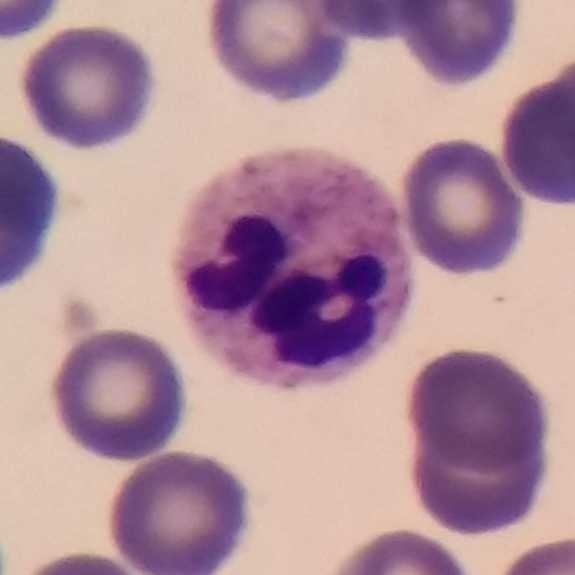 Acquisition: Peripheral blood smear.

Classification: neutrophil granulocyte.